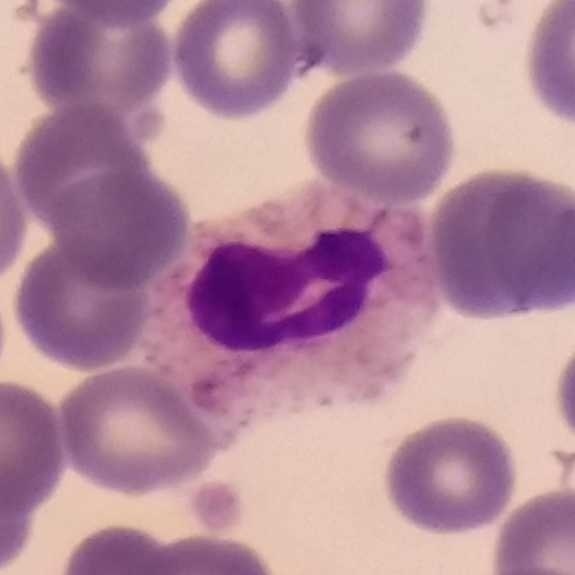The white blood cell in this image is a neutrophil granulocyte.
Peripheral blood smear · image size 575×575.